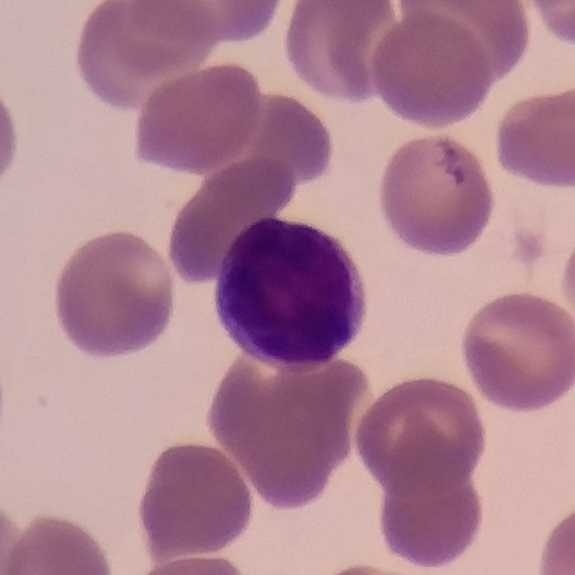
Classification — lymphocyte.

Preparation: Peripheral blood smear.